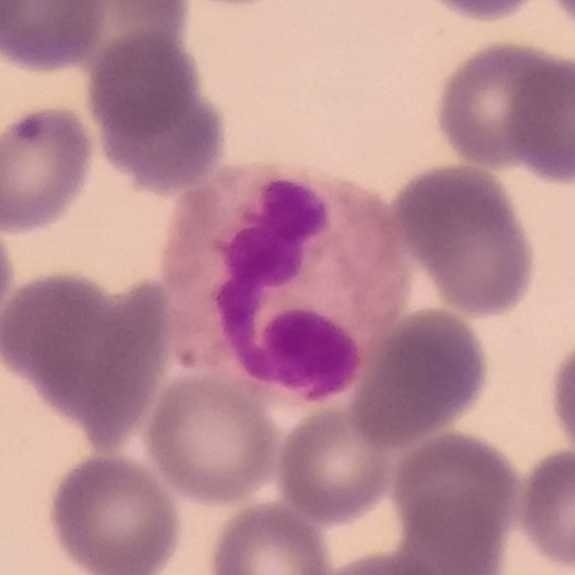 Morphological class: neutrophil.